Peripheral blood film.
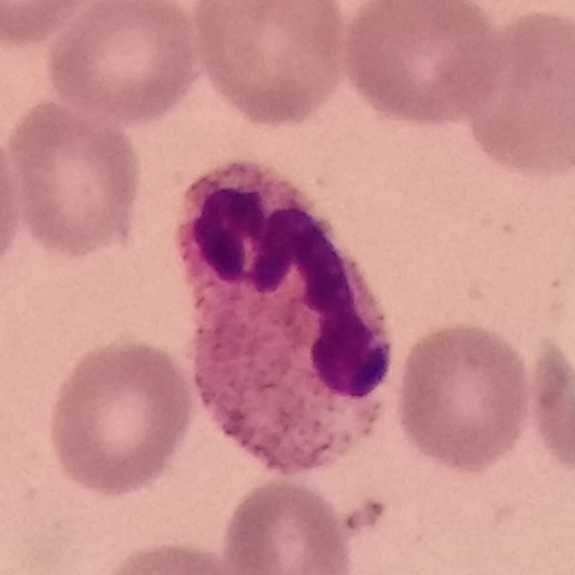
The cell type is neutrophil granulocyte.